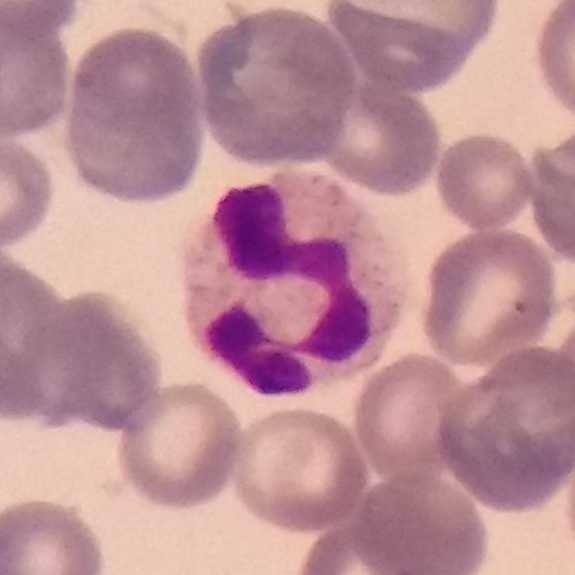Peripheral blood film. Q: Identify the cell.
A: This is a neutrophil granulocyte.